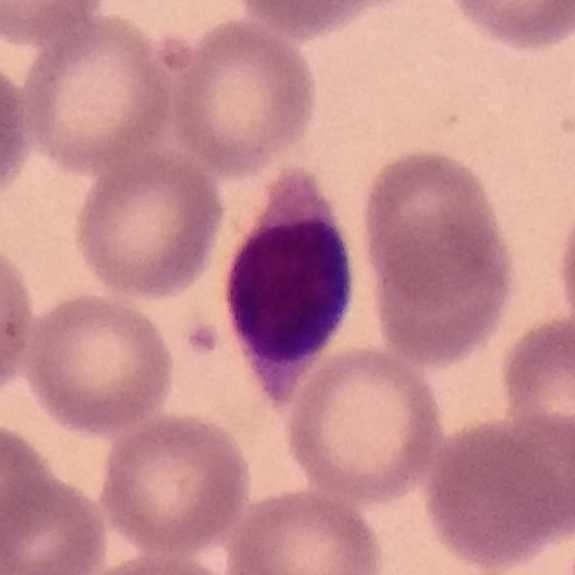 Lymphocyte.

Peripheral blood smear.